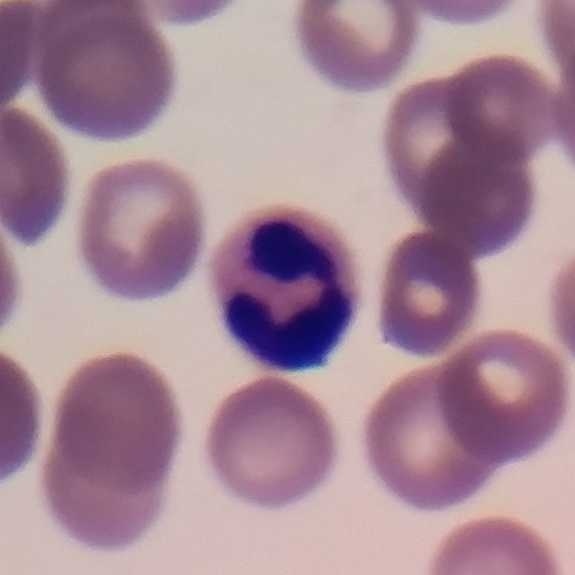Morphology → neutrophil granulocyte. Acquisition: Peripheral blood film.